Peripheral blood film.
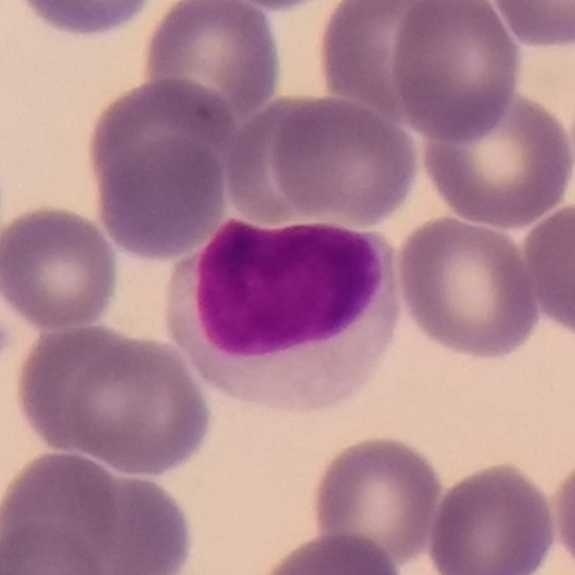Morphology consistent with a lymphocyte.